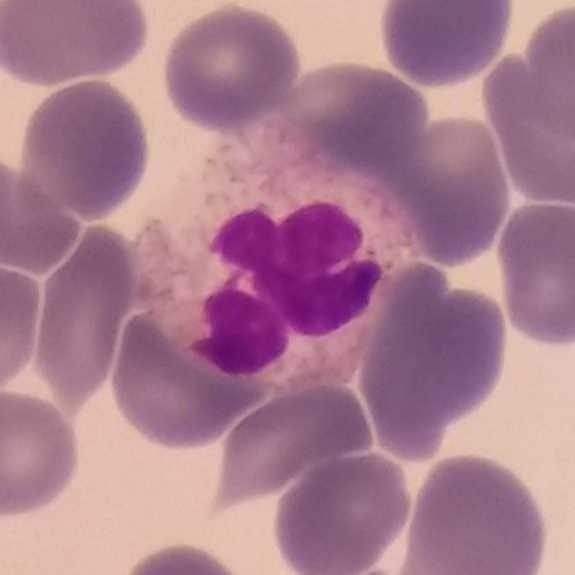 Peripheral blood film.
Q: Which type of white blood cell is this?
A: A neutrophil.